Peripheral blood smear:
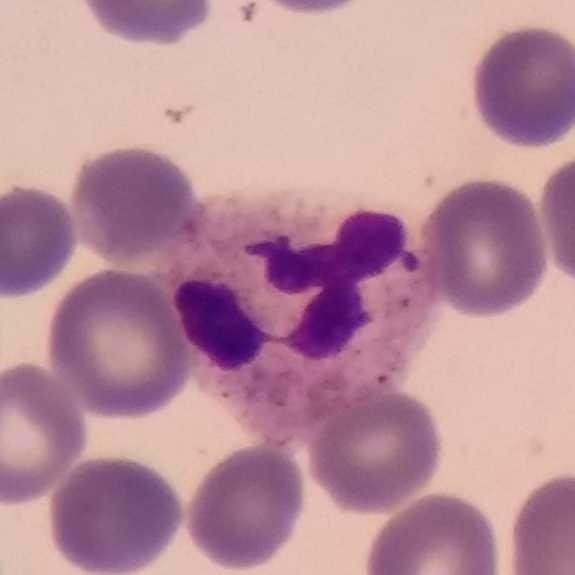 Morphology consistent with a neutrophil granulocyte.